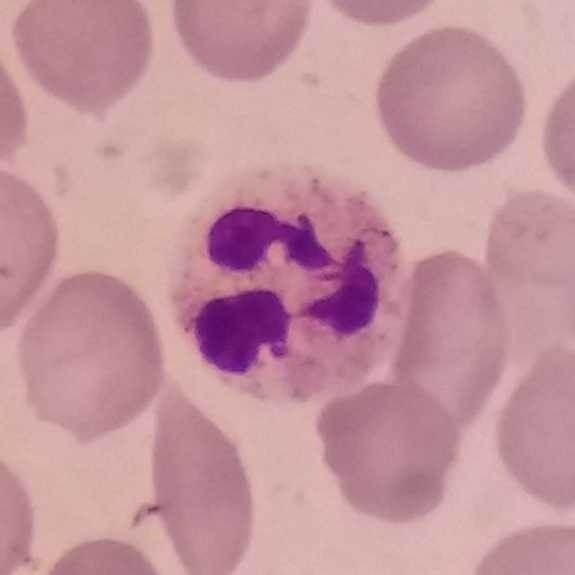
Identified as a neutrophil granulocyte.